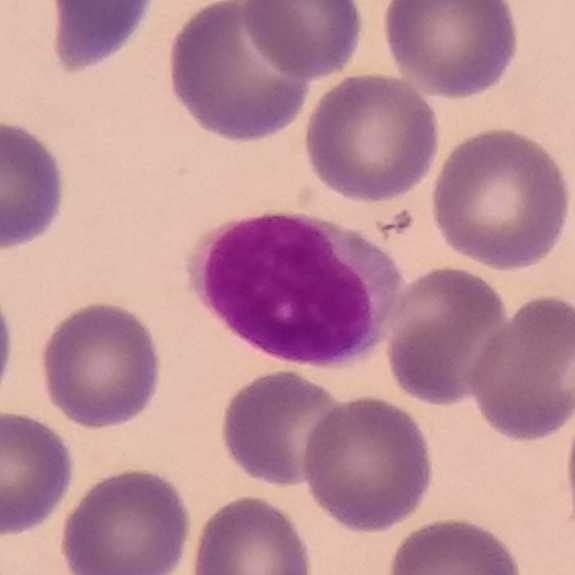
Q: What is the morphological classification of this cell?
A: A lymphocyte.